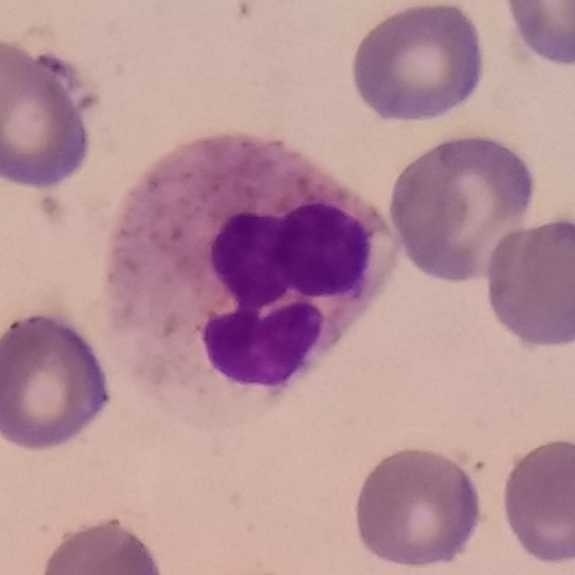

Q: What cell is this?
A: A neutrophil granulocyte.